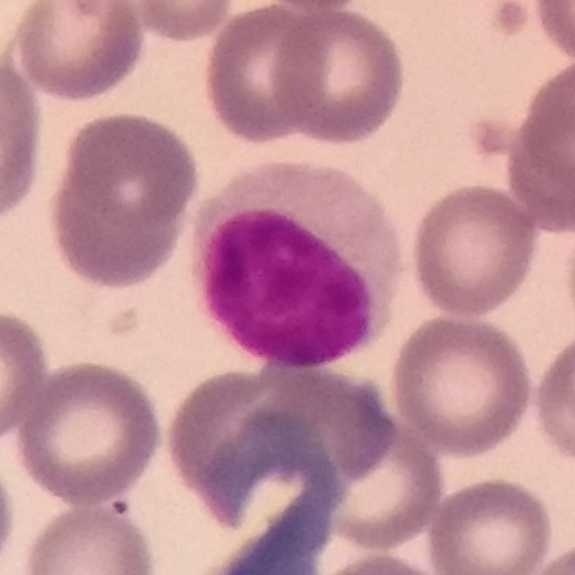The cell shown is a lymphocyte.

Context: Peripheral blood film. Single white blood cell cropped from the smear photograph. Imaged at 100×.